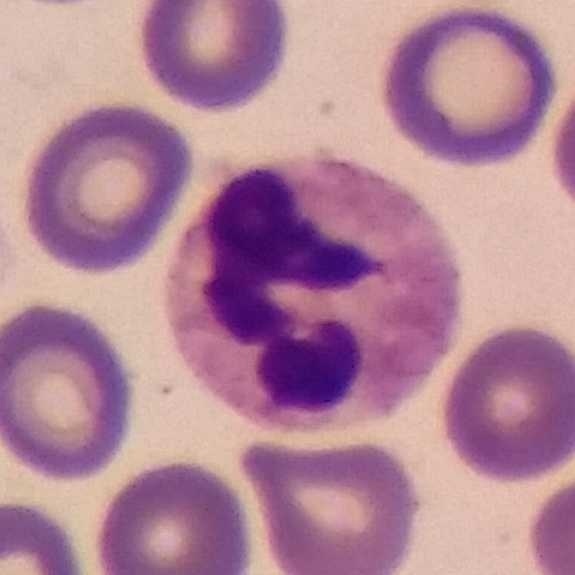
Q: What type of cell is this?
A: It is a neutrophil.